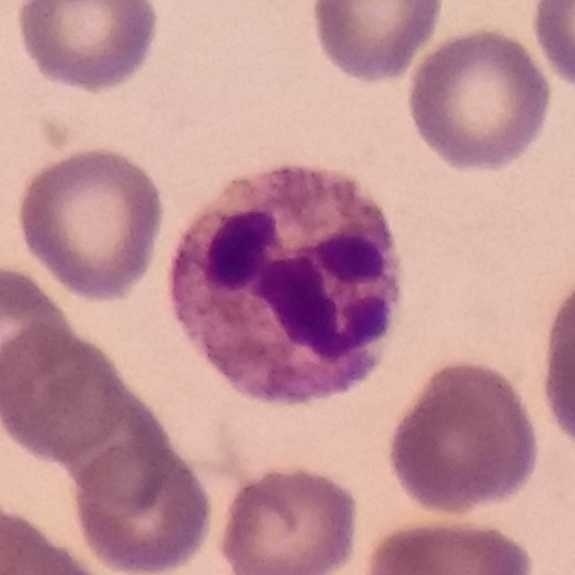
Q: What is the morphological classification of this cell?
A: A neutrophilic granulocyte.